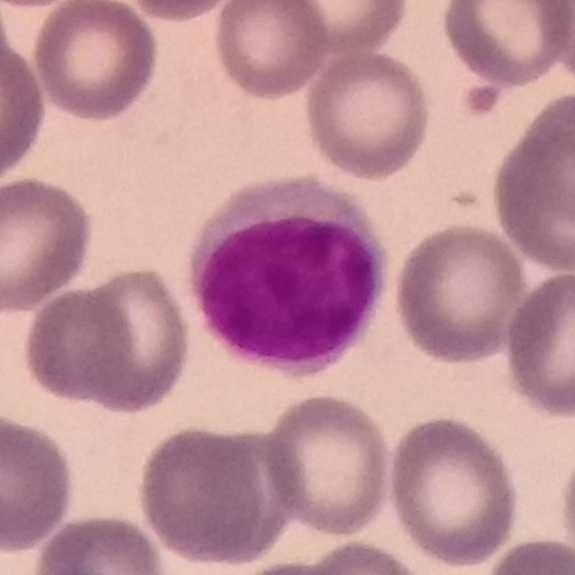 Cell = lymphocyte.